Peripheral blood film
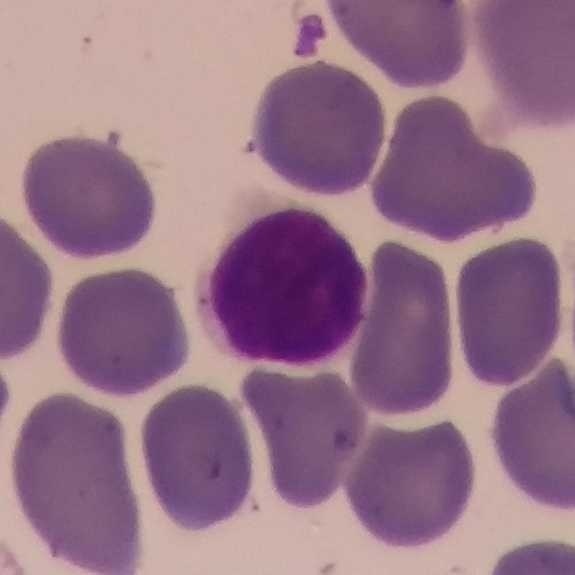 {"cell_type": "lymphocyte"}